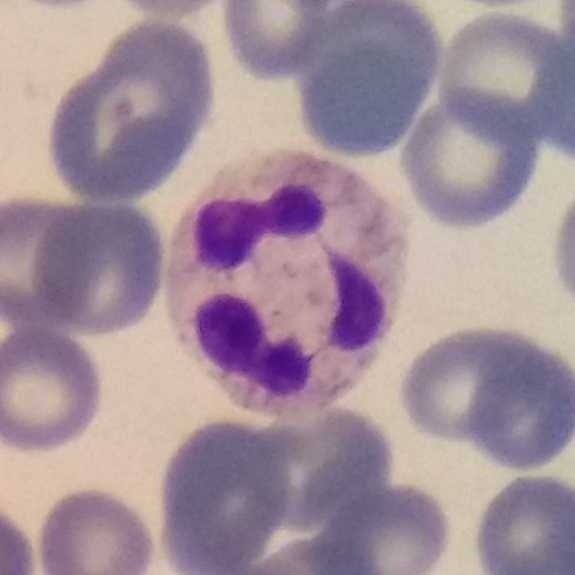Context: Peripheral blood film · image size 575×575.

Impression → neutrophil granulocyte.